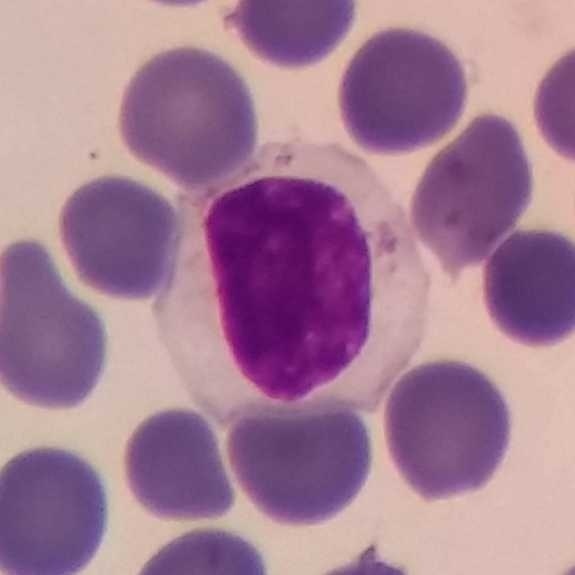{"cell_type": "lymphocyte", "lineage": "lymphoid"} Image: Peripheral blood film.